Peripheral blood smear. Imaged at 100×:
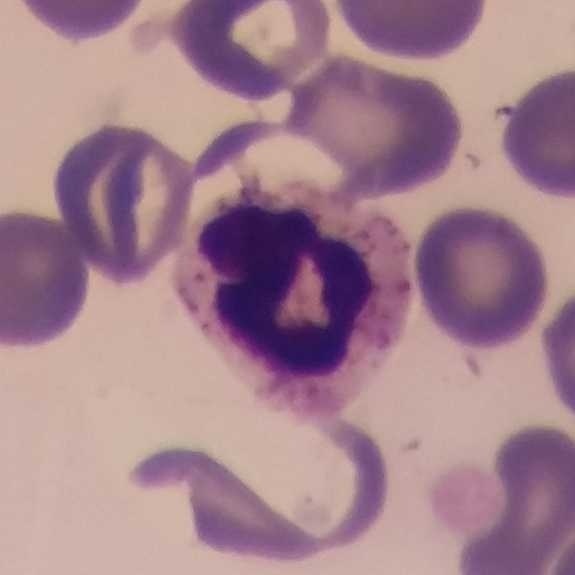
Q: What cell is this?
A: A neutrophilic granulocyte.